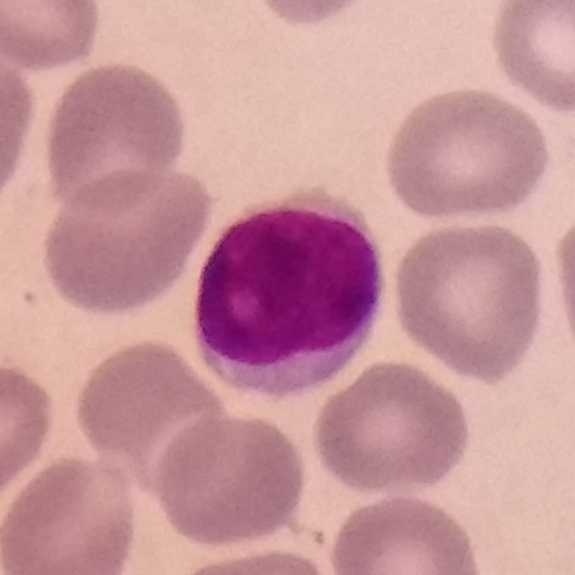Q: Classify this leukocyte.
A: This is a lymphocyte.